575×575. Peripheral blood film. Giemsa-stained — 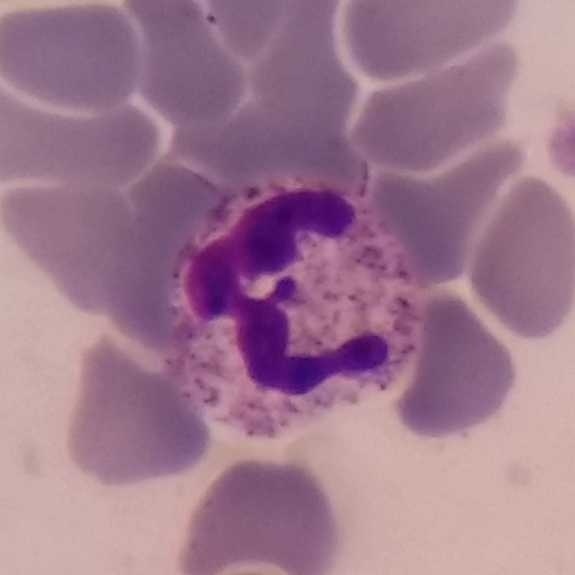
A neutrophilic granulocyte.